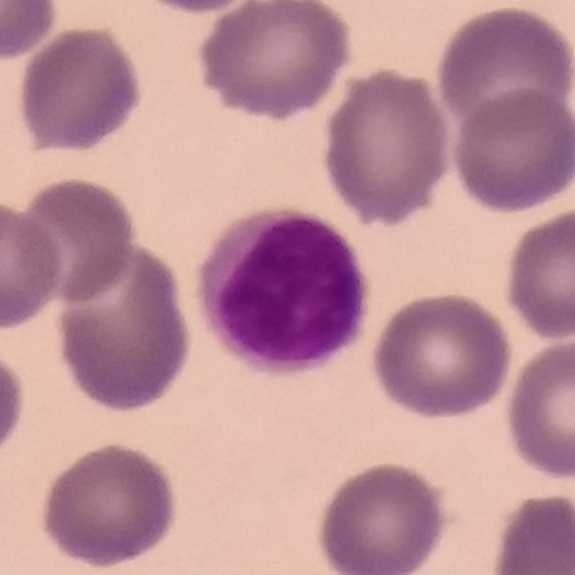
Peripheral blood film.

Morphological class — lymphocyte.